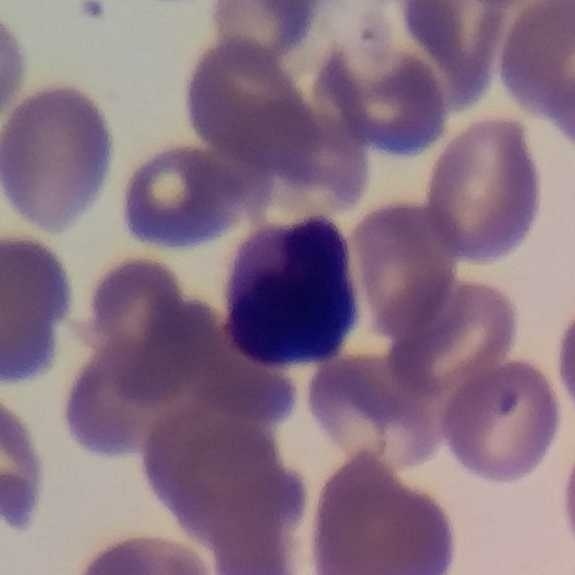
Specimen: peripheral blood film.
Cell type: lymphocyte.
Lineage: lymphoid.